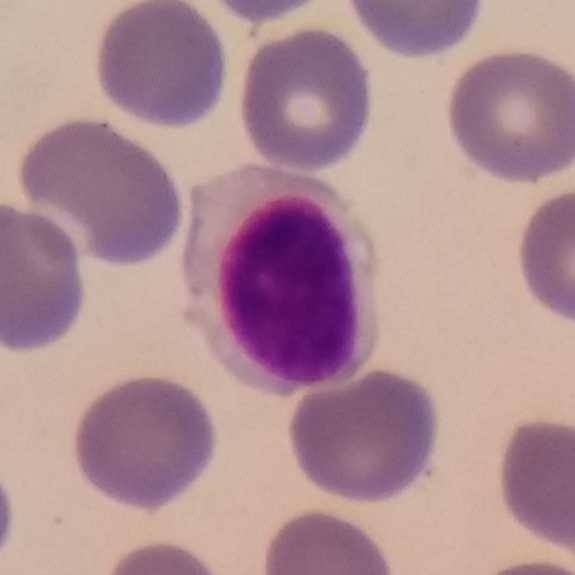 Specimen: peripheral blood smear.
White blood cell type: lymphocyte.
Lineage: lymphoid.